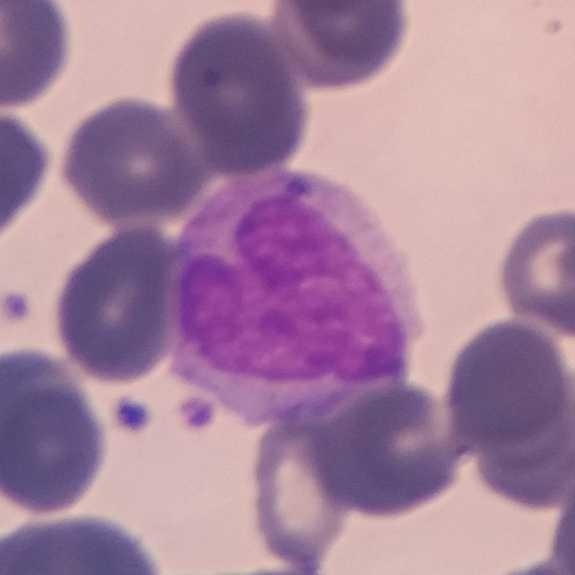
Q: What type of cell is this?
A: A monocyte.